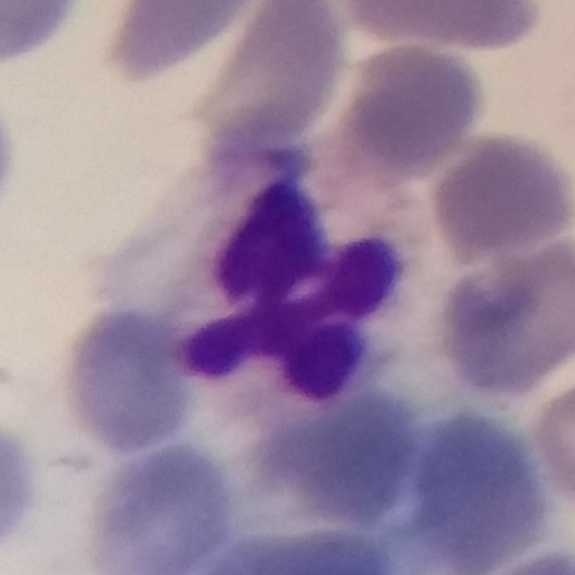{"cell_type": "neutrophil"} Acquisition: Peripheral blood film.